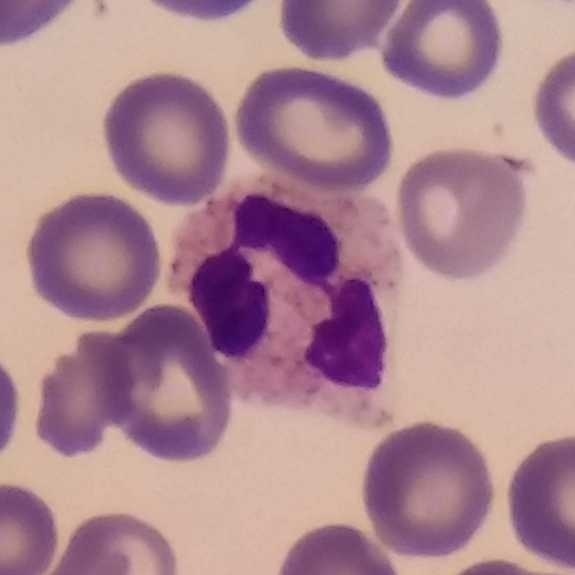

Impression — neutrophilic granulocyte. Preparation: Peripheral blood smear.